Stained with Giemsa · 100× magnification · peripheral blood film — 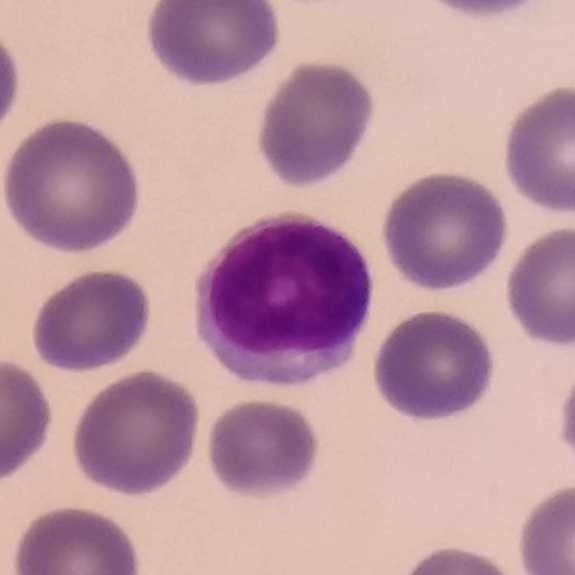
Q: What is shown here?
A: A lymphocyte.